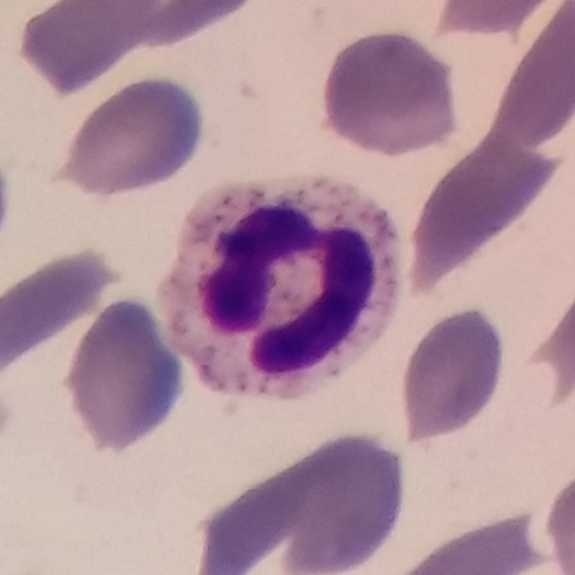This is a neutrophil granulocyte.
Preparation: Peripheral blood smear.